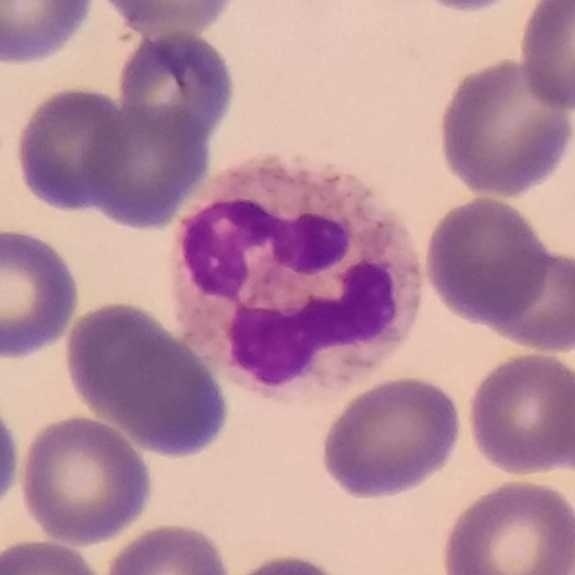The cell type is neutrophil.